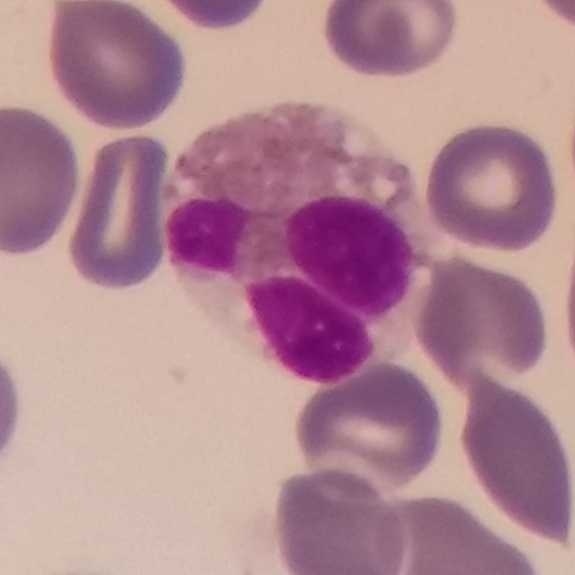

Morphology — eosinophilic granulocyte.

100× magnification; peripheral blood smear.